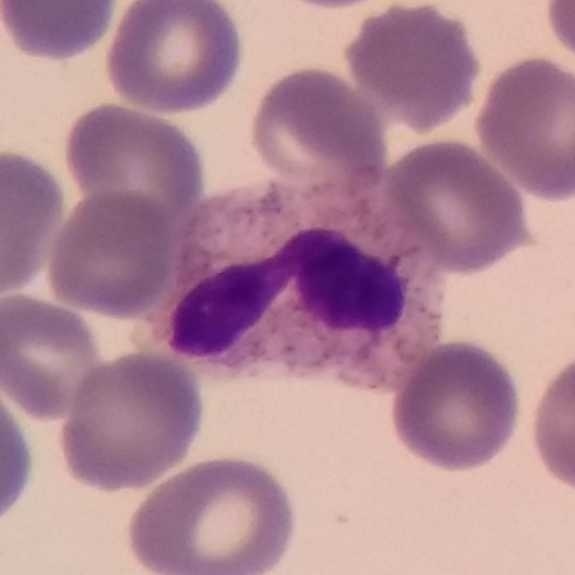

A neutrophil granulocyte.